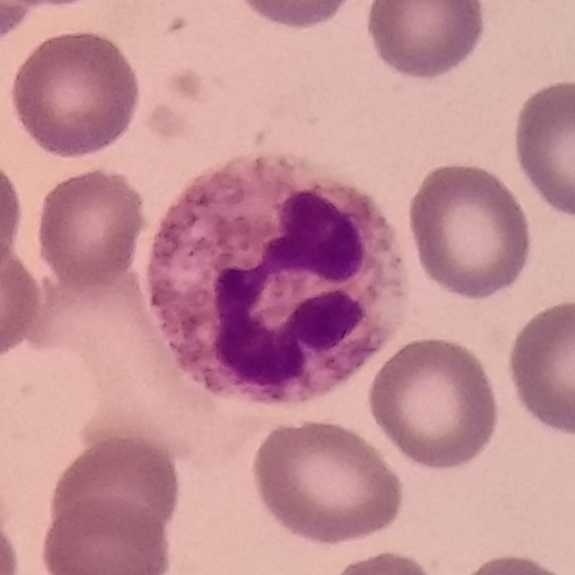Impression → neutrophilic granulocyte.
Context: Peripheral blood film. Photographed through a light microscope with a smartphone camera.